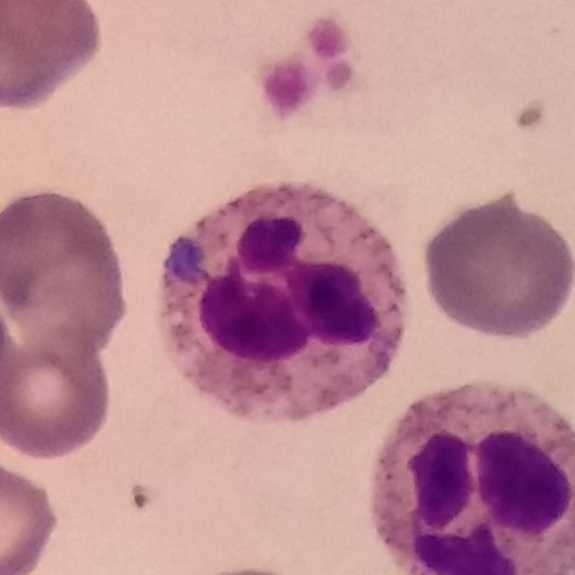 Acquisition: Cropped to one leukocyte · peripheral blood smear.

Q: What cell is this?
A: This is a neutrophil.